Single-cell field · peripheral blood smear: 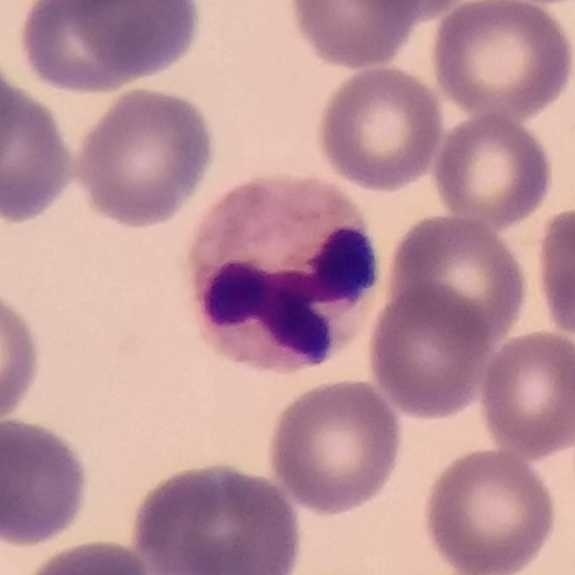The cell shown is a neutrophil granulocyte.